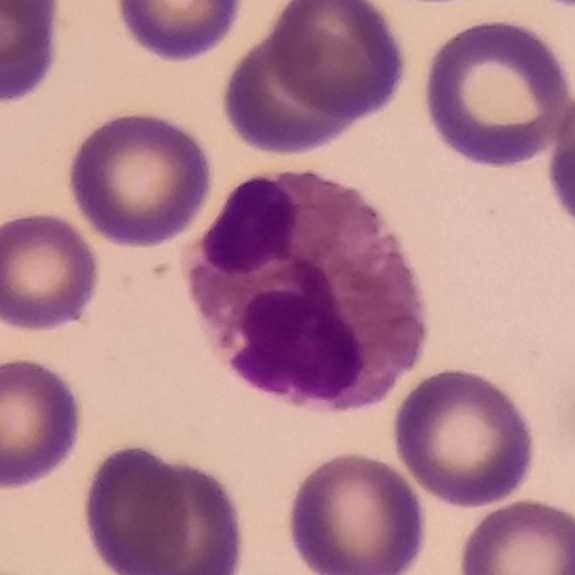 Phone-camera image taken through the microscope ocular. Specimen: peripheral blood film.
Classification: eosinophil.
Lineage: myeloid.